100× magnification · image size 575×575 · peripheral blood film:
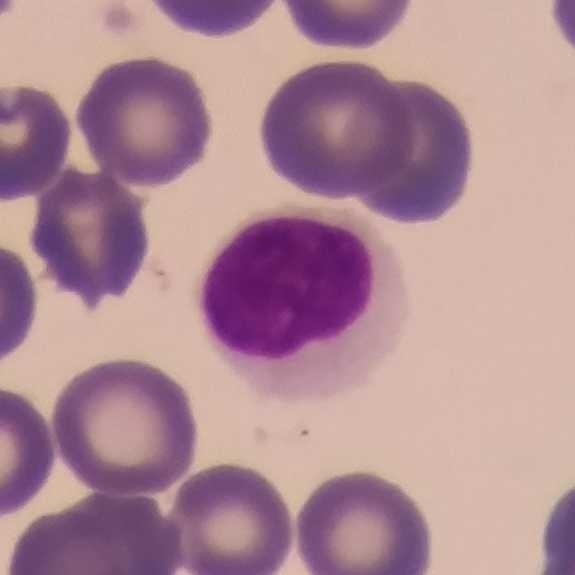 The cell type is lymphocyte.